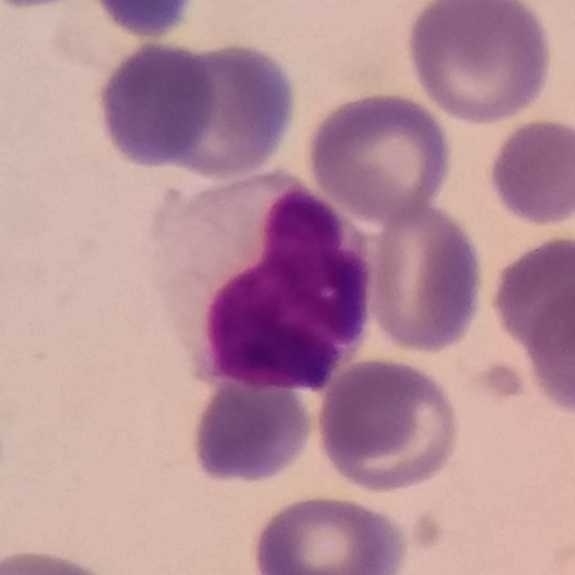Impression — lymphocyte.